Peripheral blood film
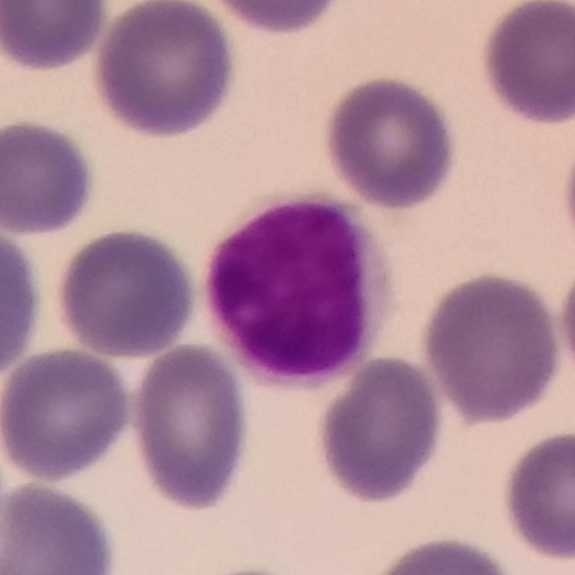
Impression → lymphocyte.